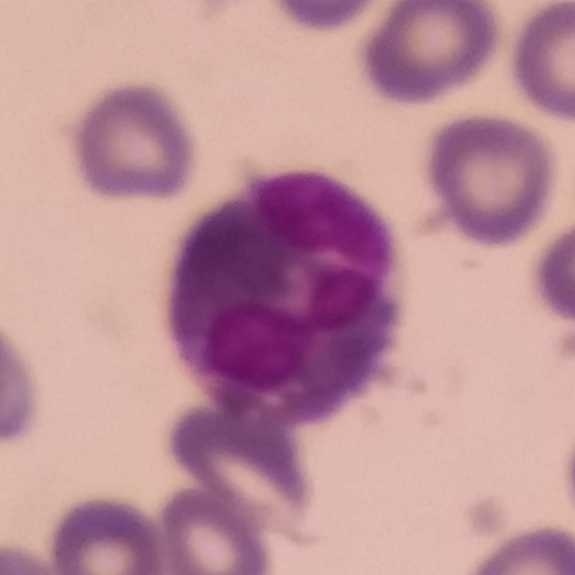Morphology → eosinophilic granulocyte.

Peripheral blood smear; single-cell crop.